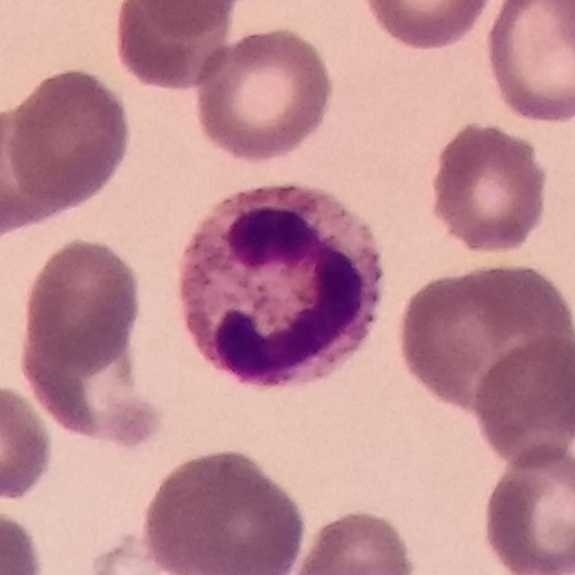 Smartphone photomicrograph. Peripheral blood film. Image size 575×575.

Q: What is this?
A: This is a neutrophil.